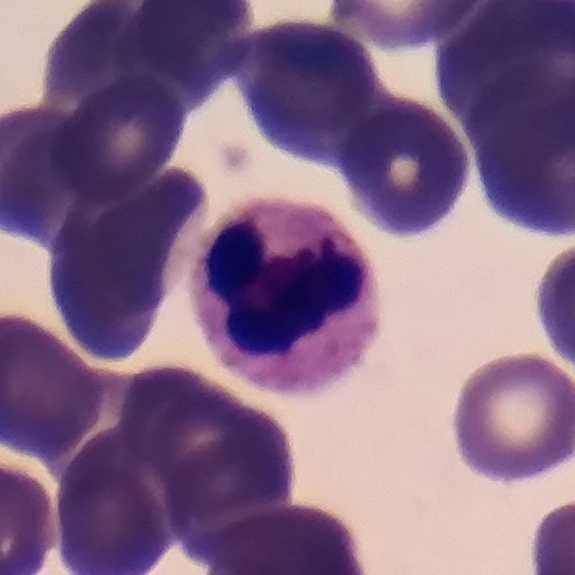Peripheral blood smear. Smartphone camera mounted on the microscope eyepiece. Cropped to one leukocyte.

The white blood cell in this image is a neutrophilic granulocyte.